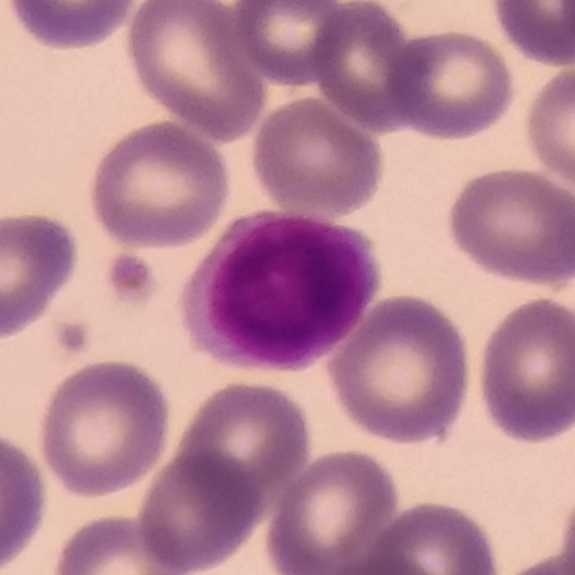 The cell shown is a lymphocyte.

Acquisition: Peripheral blood film.